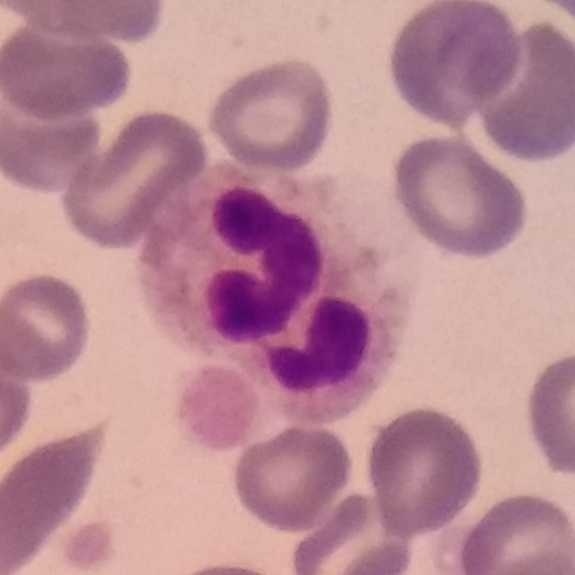Morphology consistent with a neutrophil granulocyte.